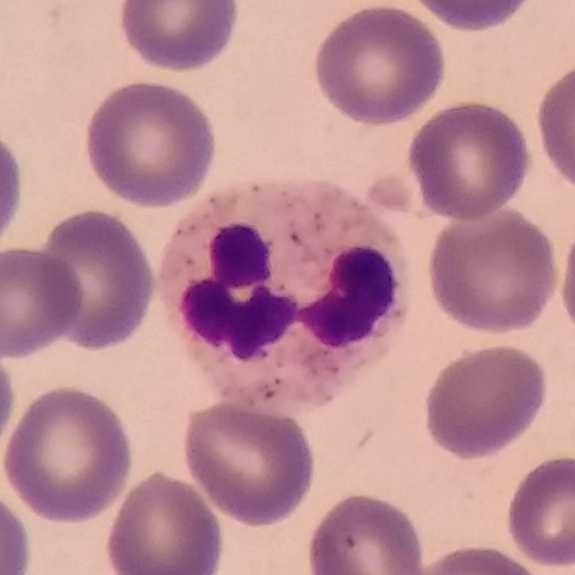
Specimen: peripheral blood film.
White blood cell type: neutrophilic granulocyte.
Lineage: myeloid.